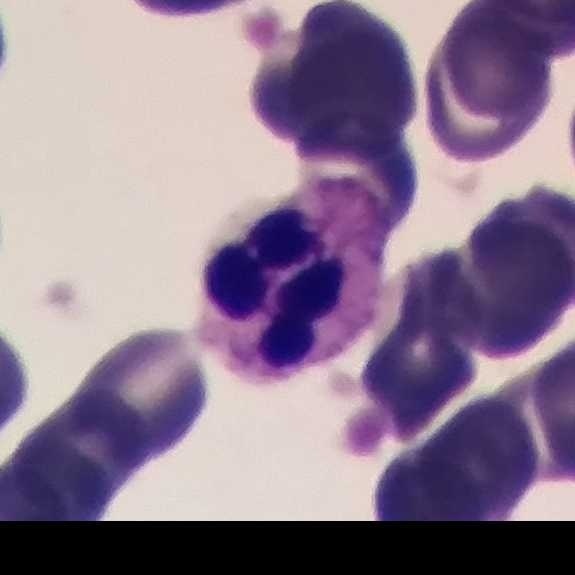 Context: Peripheral blood smear. Phone-camera image taken through the microscope ocular.
Q: What is shown here?
A: Neutrophil.